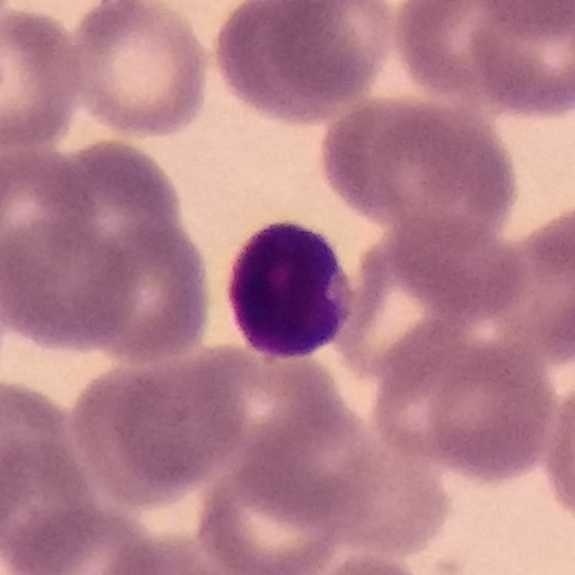 Acquisition: Magnification 100×. Peripheral blood smear.
Q: What type of cell is this?
A: It is a lymphocyte.